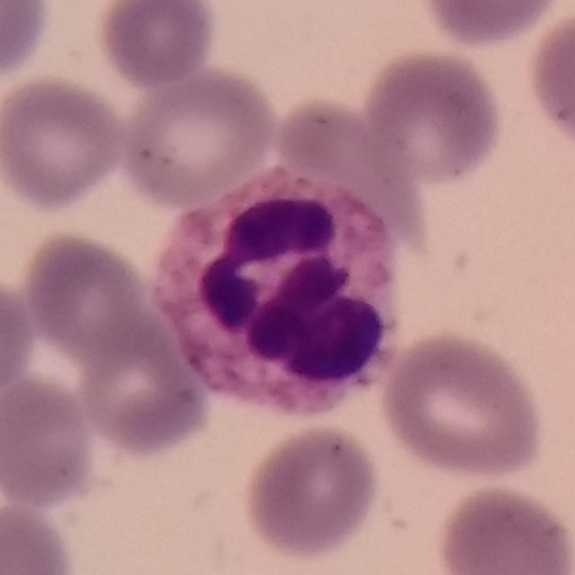
Preparation: Smartphone camera mounted on the microscope eyepiece · peripheral blood smear · magnification 100×.

Cell type = neutrophilic granulocyte.